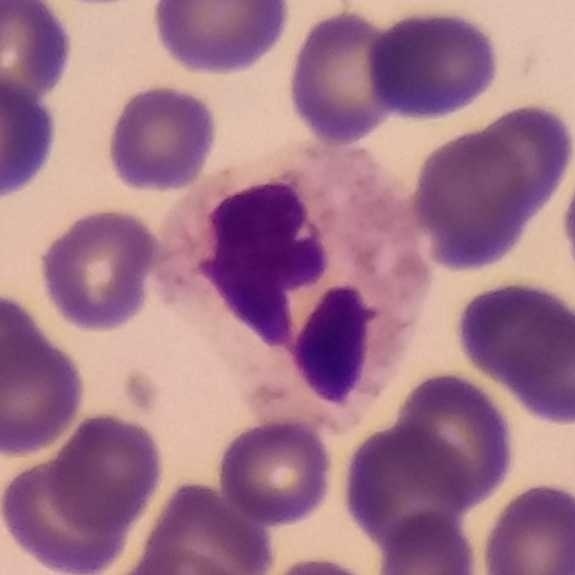Q: What type of cell is this?
A: Neutrophil.